Single white blood cell cropped from the smear photograph · peripheral blood smear:
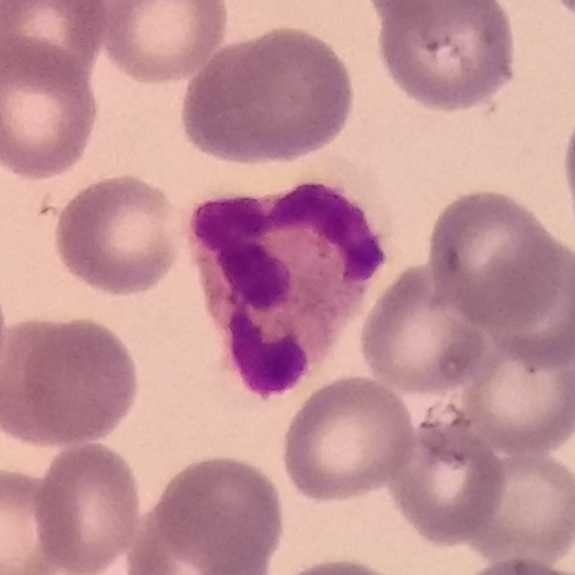Impression — neutrophil granulocyte.